Peripheral blood film · single-cell crop: 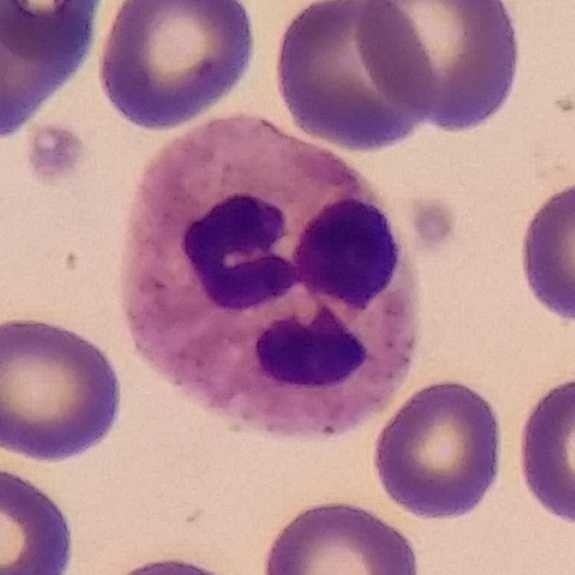Cell = neutrophilic granulocyte.